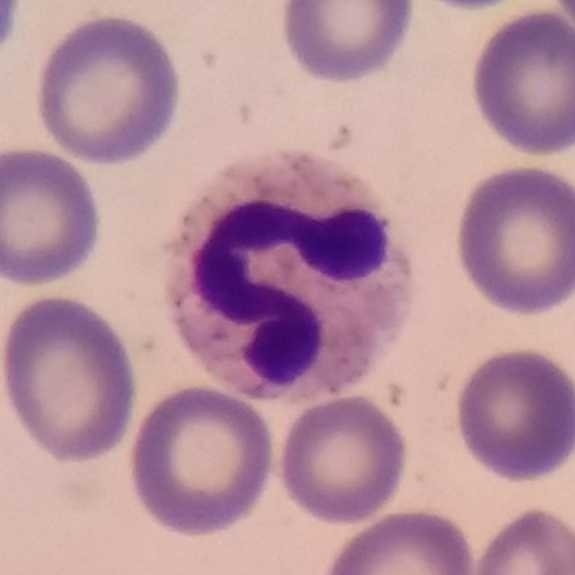Classification: neutrophilic granulocyte.